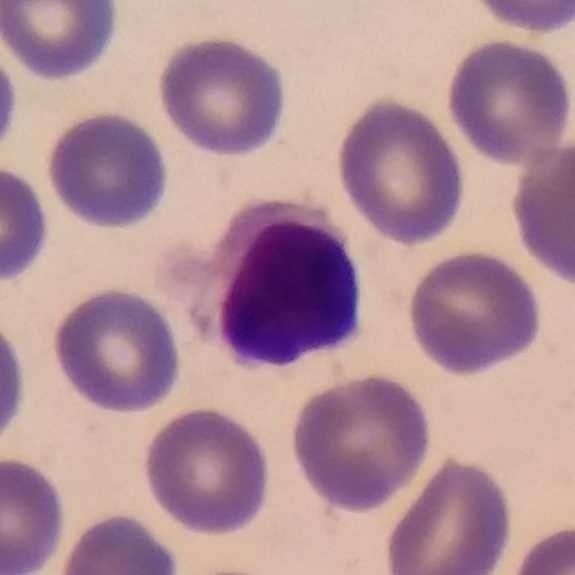Morphology consistent with a lymphocyte.

Acquisition: Peripheral blood film.